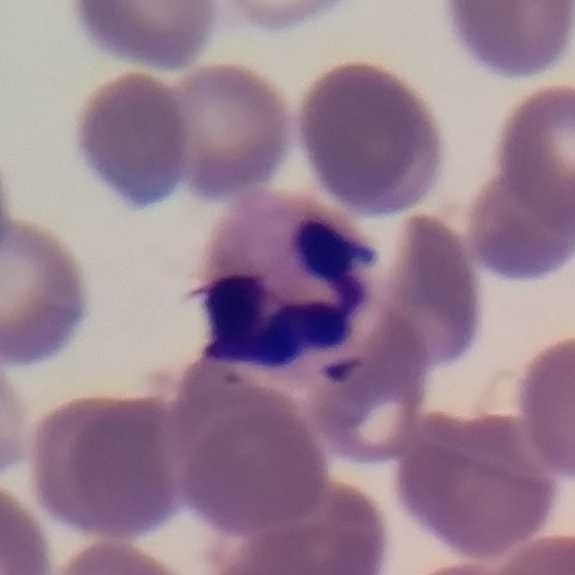Specimen: peripheral blood film.
Classification: neutrophil granulocyte.
Lineage: myeloid. Context: Cropped to one leukocyte.